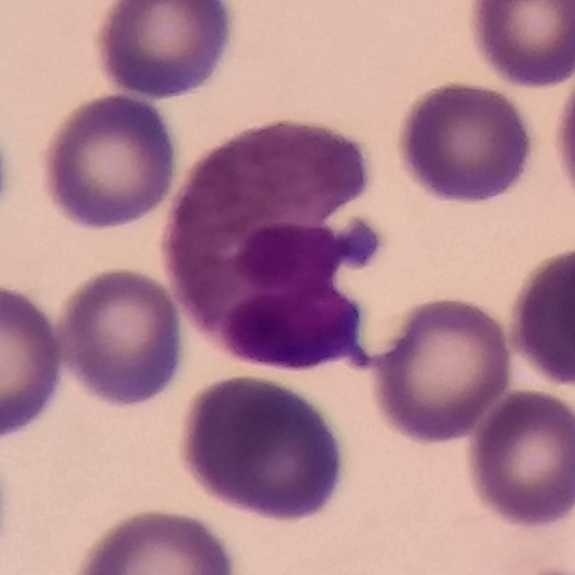Single cell identified as an eosinophilic granulocyte.

Acquisition: Magnification 100× · cropped to one leukocyte · peripheral blood film.